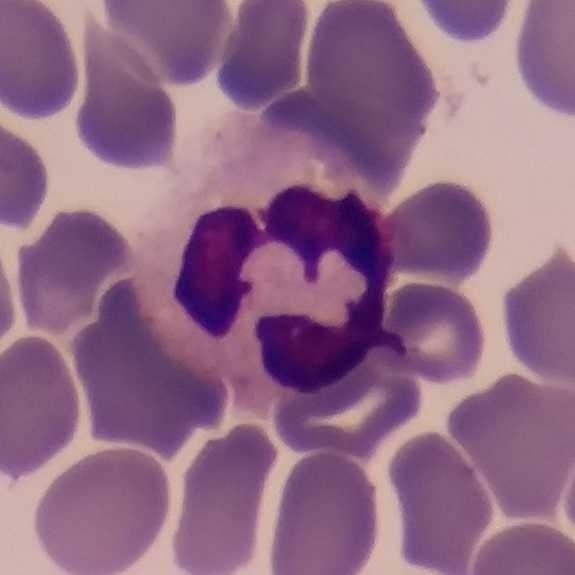 Context: Stained with Giemsa. Peripheral blood smear.
The cell is neutrophilic granulocyte.